Single-cell field · peripheral blood film — 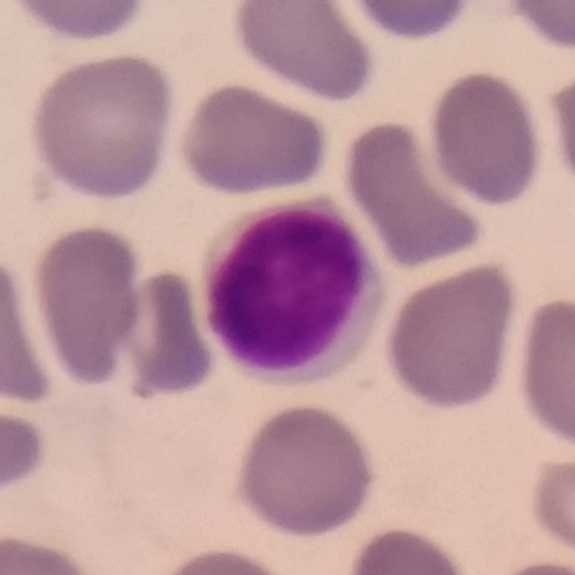 White blood cell type = lymphocyte.